Peripheral blood smear: 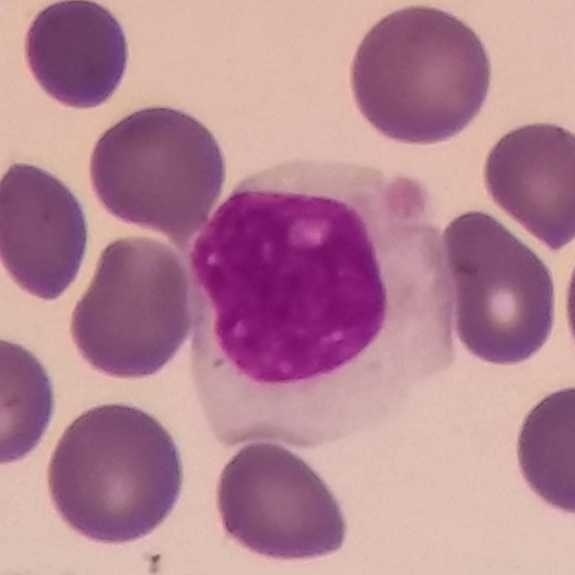The cell shown is a monocyte.